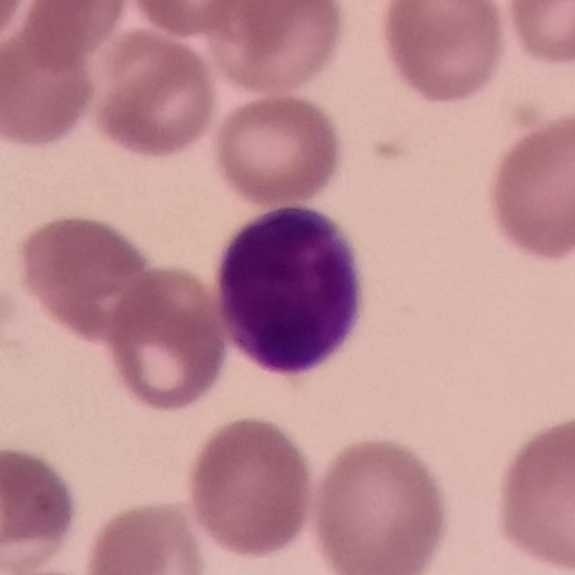 Lymphocyte.